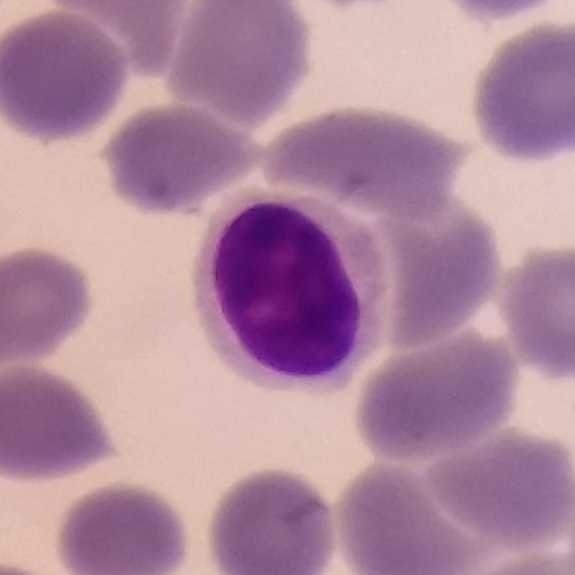Specimen: peripheral blood smear.
Cell: lymphocyte.